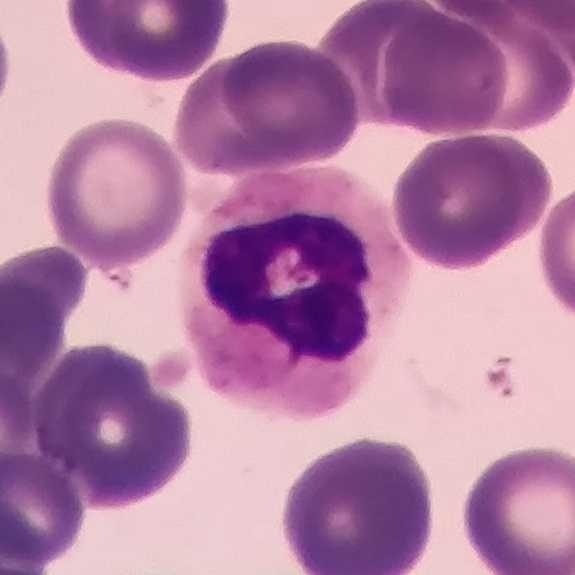
Context: Peripheral blood smear. Identified as a neutrophil.